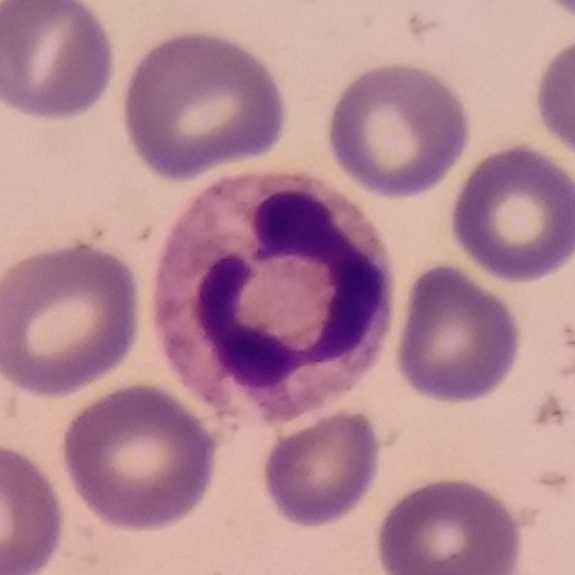
Acquisition: Peripheral blood smear. This is a neutrophilic granulocyte.